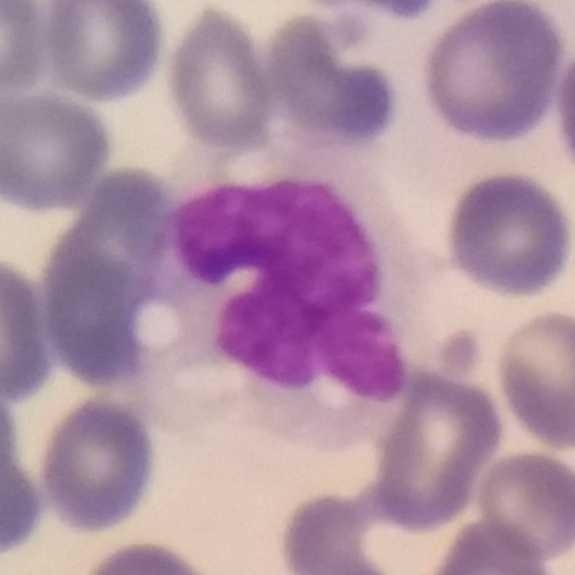
{"cell_type": "monocyte", "lineage": "myeloid"}